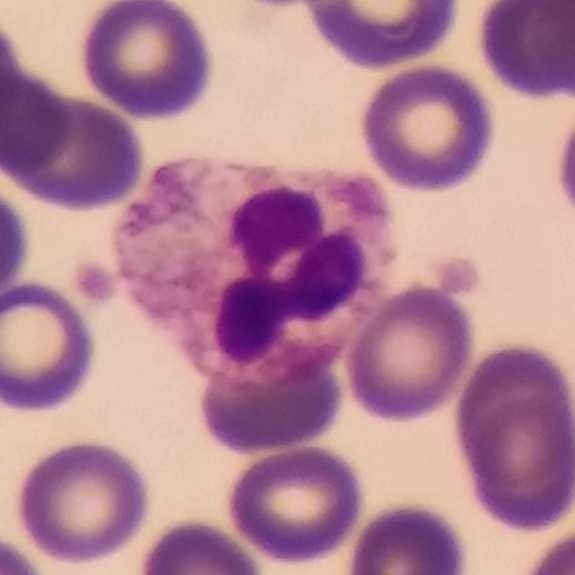Q: Which cell type is shown here?
A: This is a neutrophilic granulocyte.
Preparation: Peripheral blood smear · smartphone photomicrograph.